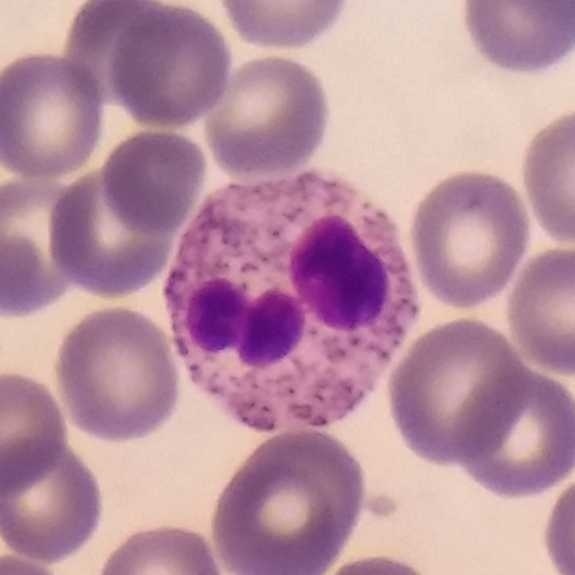

Identified as a neutrophil.